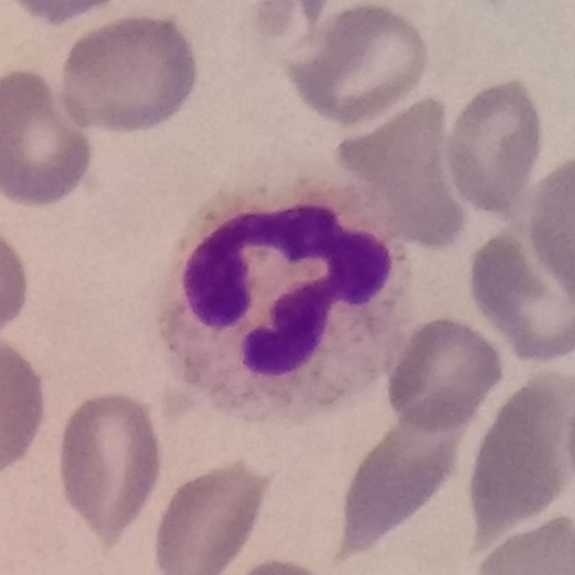 The cell is neutrophil granulocyte.